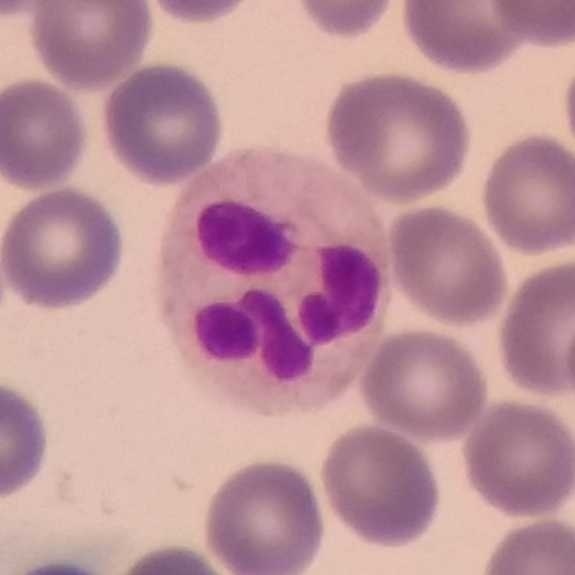 {"cell_type": "neutrophilic granulocyte", "lineage": "myeloid"} Acquisition: Peripheral blood smear.